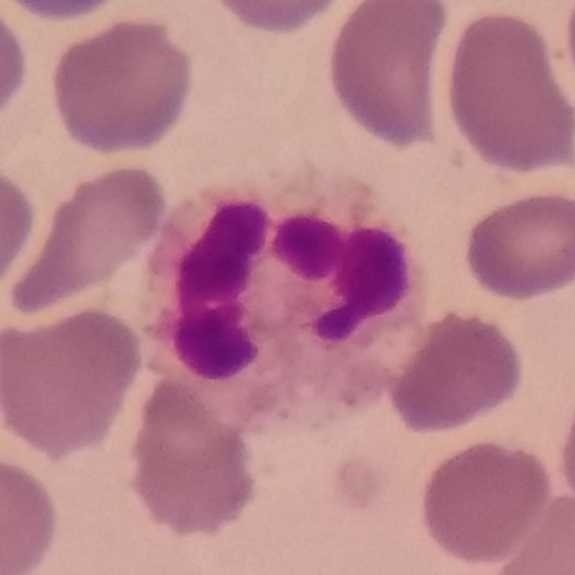 The white blood cell type is neutrophil granulocyte. Acquisition: Peripheral blood film. Phone-camera image taken through the microscope ocular.